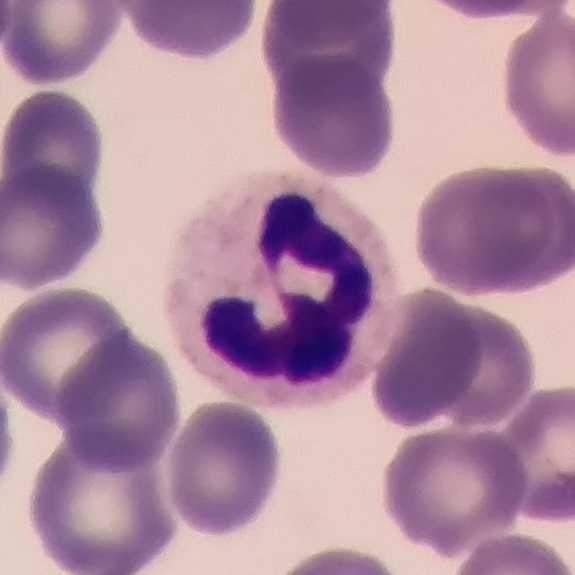

The white blood cell in this image is a neutrophilic granulocyte. Context: Peripheral blood film; 575 by 575 pixels.